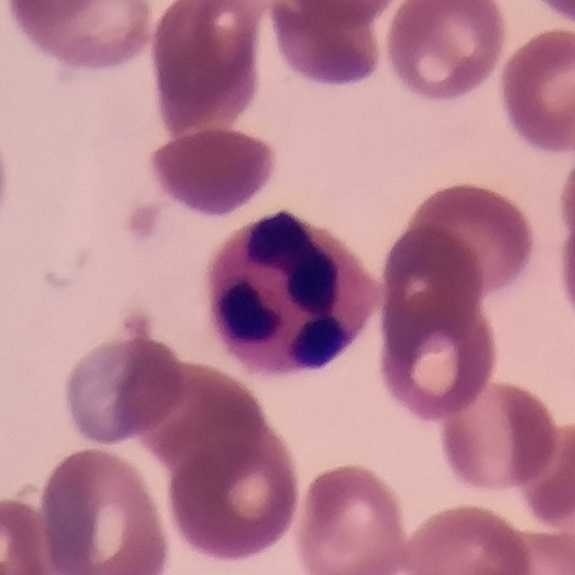 Peripheral blood film.
Showing a neutrophil.